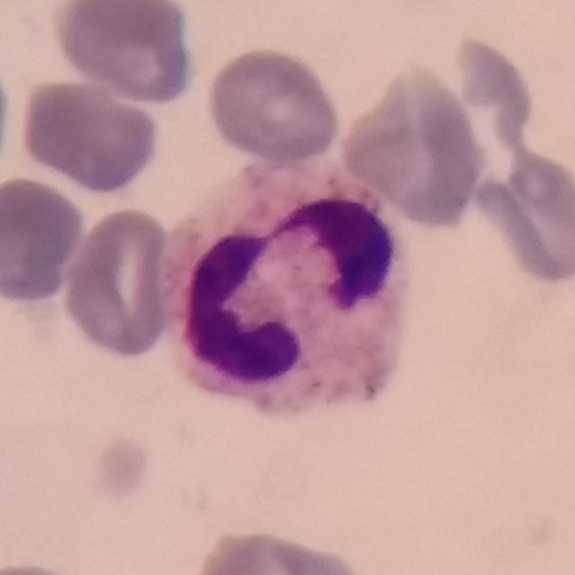
Q: Which type of white blood cell is this?
A: This is a neutrophil.